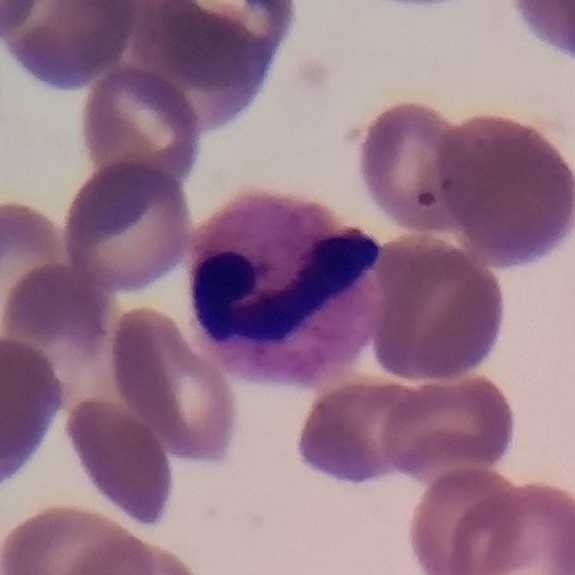Imaged at 100× · peripheral blood film. Morphology → neutrophil granulocyte.